575×575 px · peripheral blood smear:
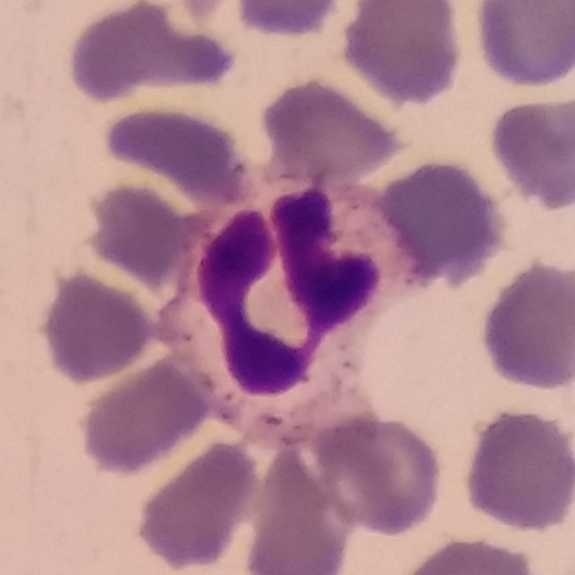
Q: Classify this leukocyte.
A: A neutrophilic granulocyte.